Peripheral blood film: 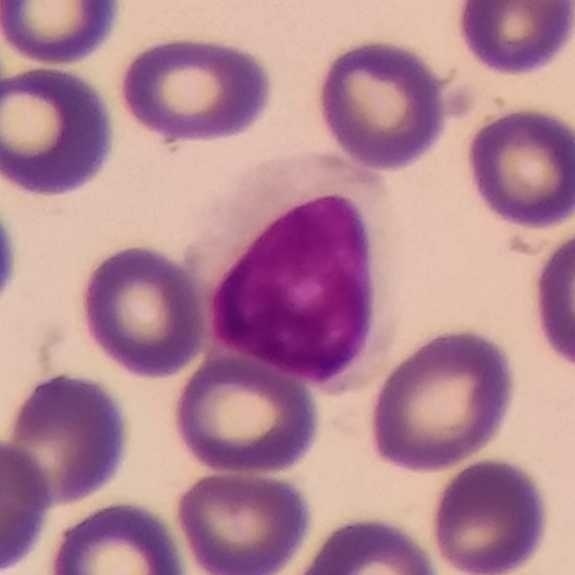

Q: What is this?
A: Lymphocyte.